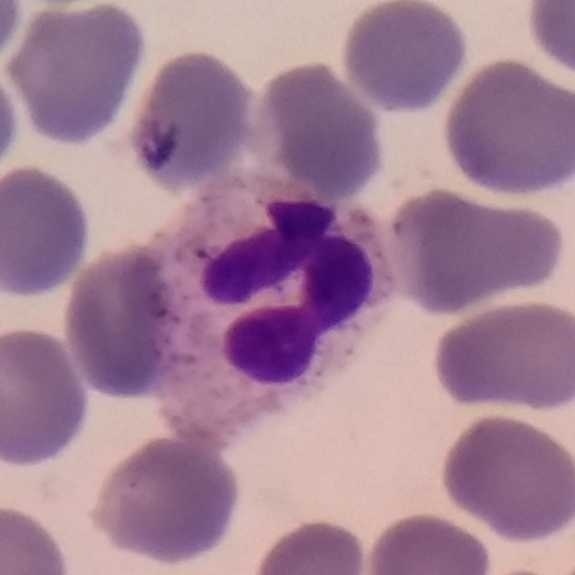 A neutrophil granulocyte on a peripheral blood smear.